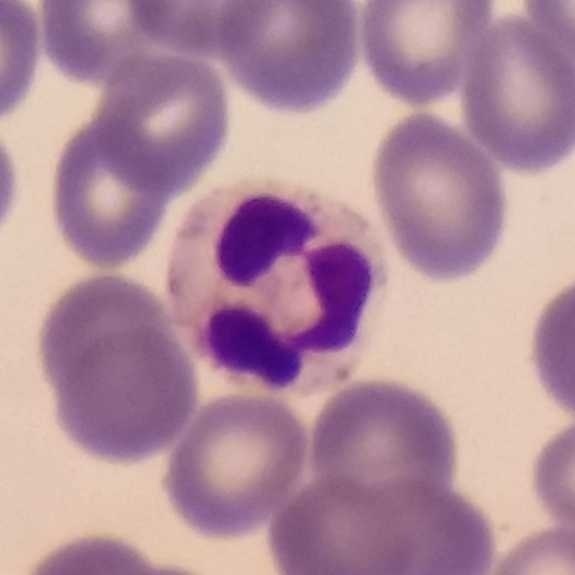
Specimen: peripheral blood film.
Cell type: neutrophilic granulocyte.
Lineage: myeloid.